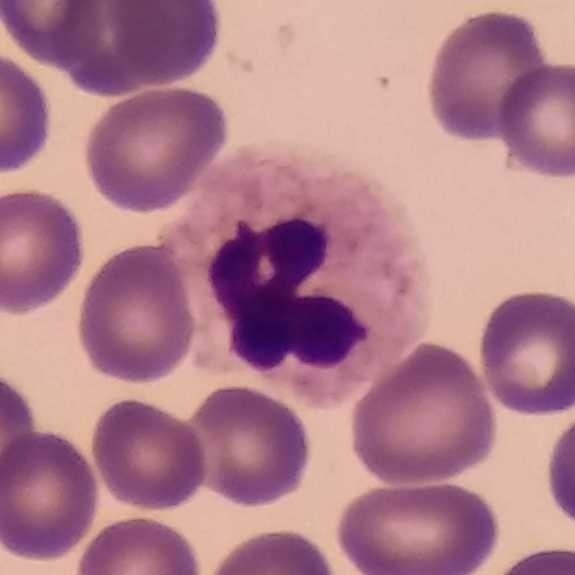 {"cell_type": "neutrophil", "lineage": "myeloid"} Peripheral blood film.